Smartphone camera mounted on the microscope eyepiece · cropped to one leukocyte · peripheral blood film: 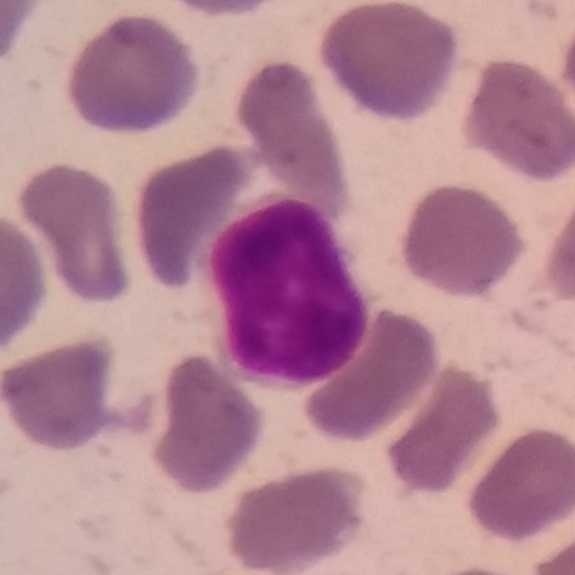

Showing a lymphocyte.